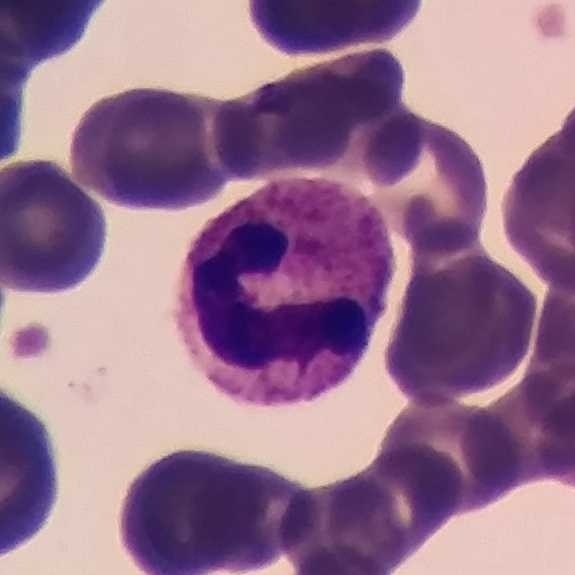The morphological class is neutrophil.